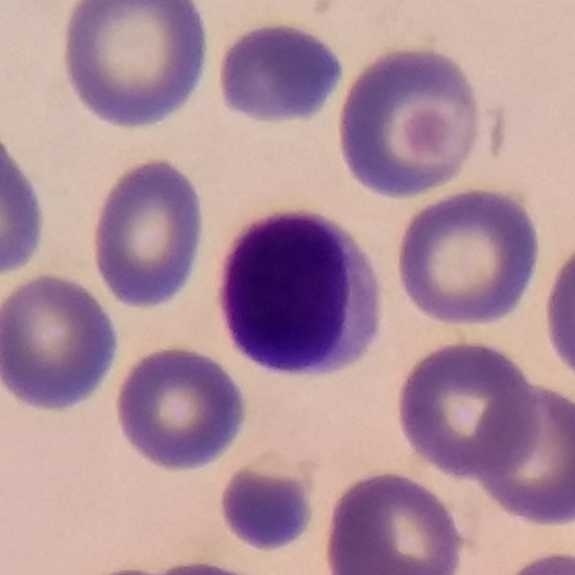Q: What is shown here?
A: A lymphocyte. Peripheral blood smear.